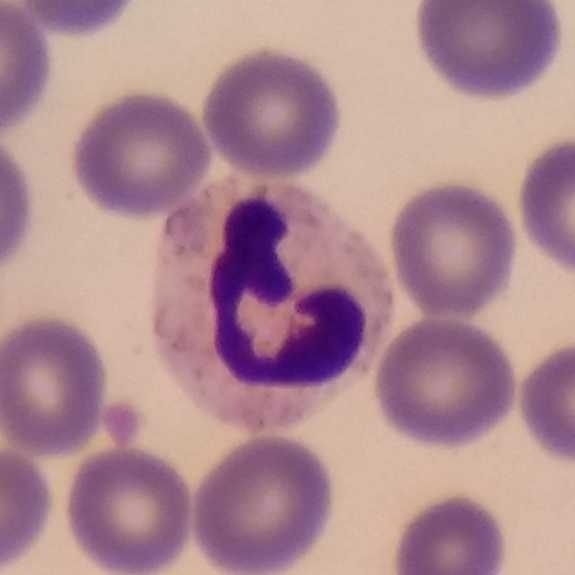
575 by 575 pixels. Peripheral blood film. Photographed through a light microscope with a smartphone camera.
A neutrophilic granulocyte.